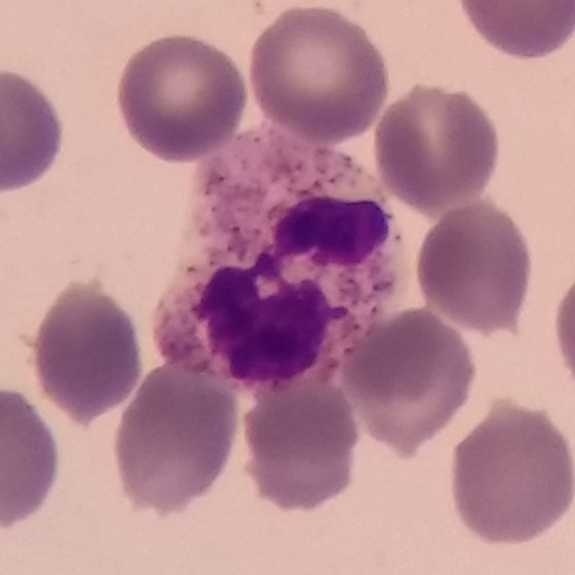

Morphological class — neutrophil.